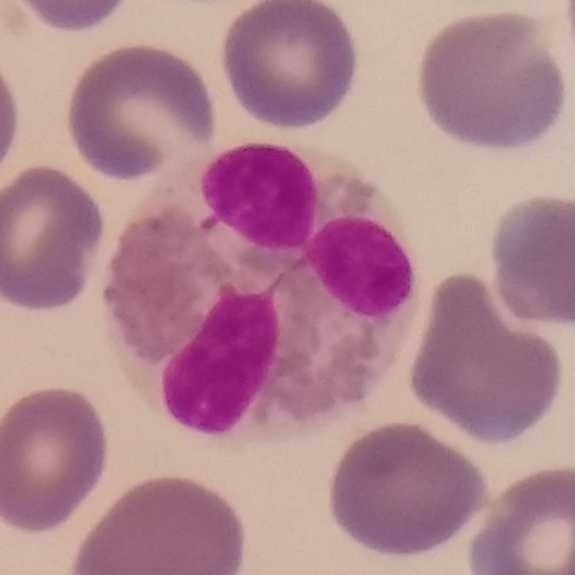{"cell_type": "eosinophil", "lineage": "myeloid"}

Image: Peripheral blood smear; single white blood cell cropped from the smear photograph.